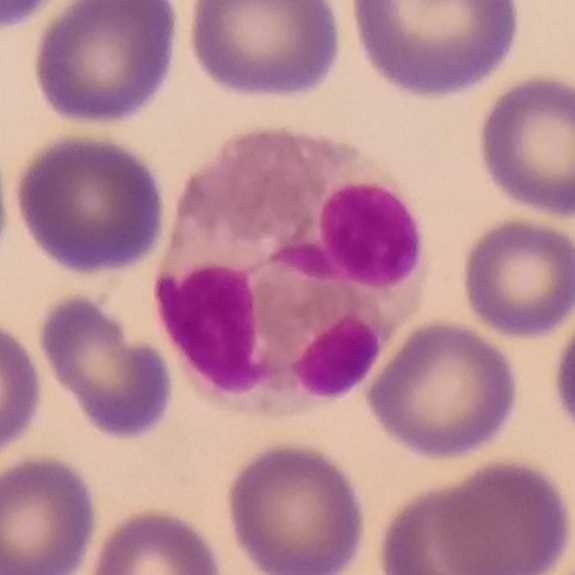
The morphological class is eosinophilic granulocyte.

Stained with Giemsa · smartphone photomicrograph · peripheral blood smear.